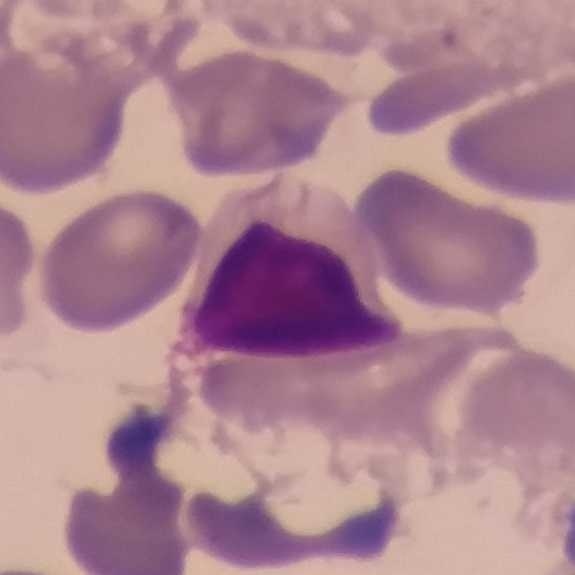
Peripheral blood film.

Impression → lymphocyte.